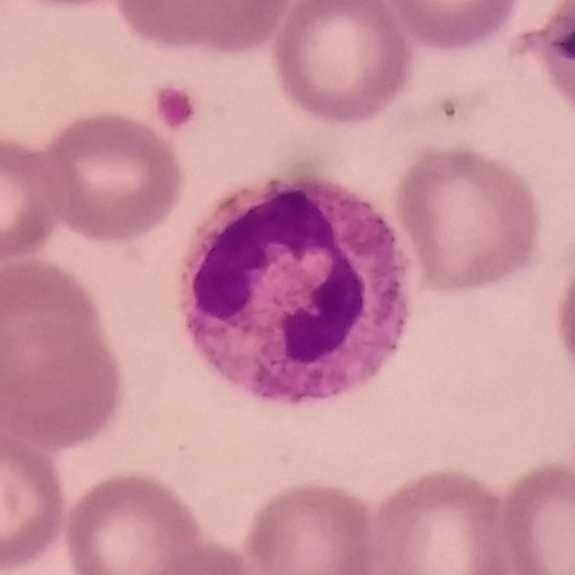 {"cell_type": "neutrophil"}